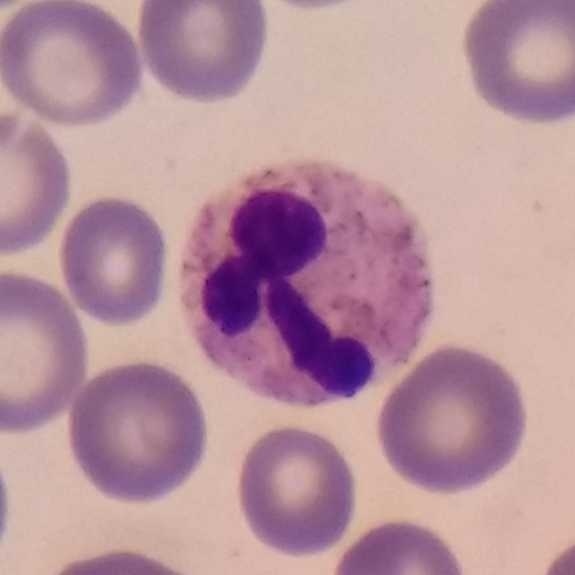 Morphology consistent with a neutrophil granulocyte.
Context: Peripheral blood smear.